Peripheral blood smear — 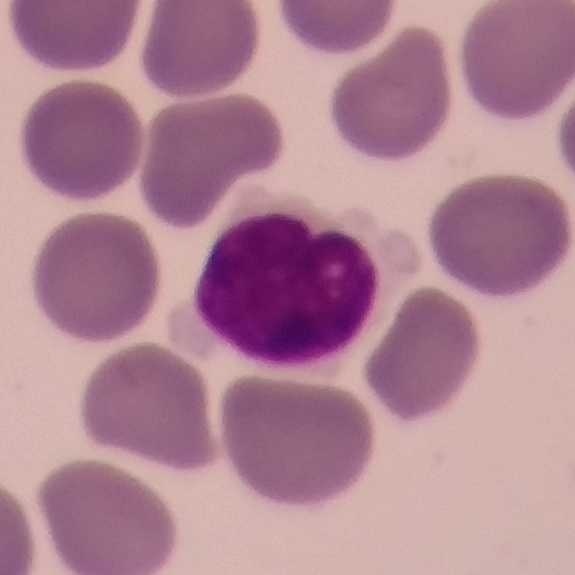
Cell type: lymphocyte.